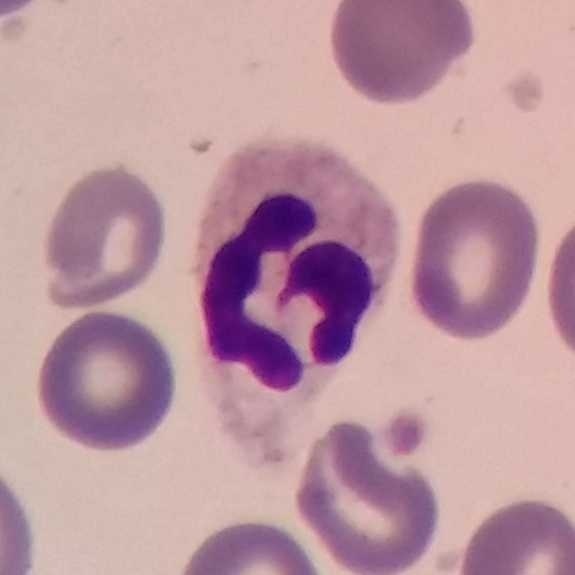
Q: Which type of white blood cell is this?
A: This is a neutrophil.